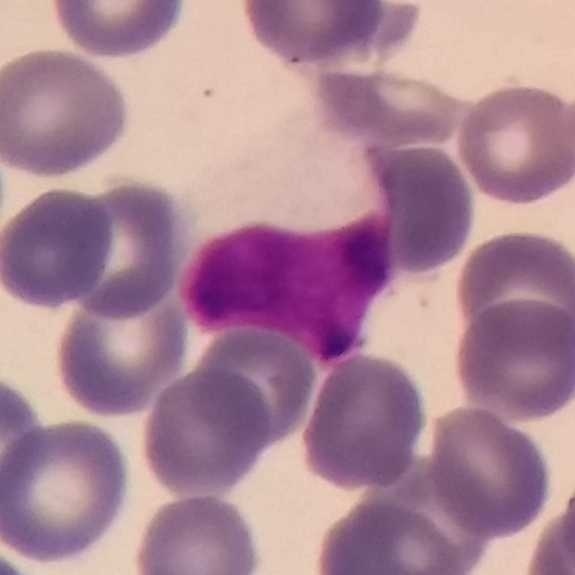

Preparation: 100× magnification · smartphone photomicrograph · peripheral blood smear. The classification is lymphocyte.